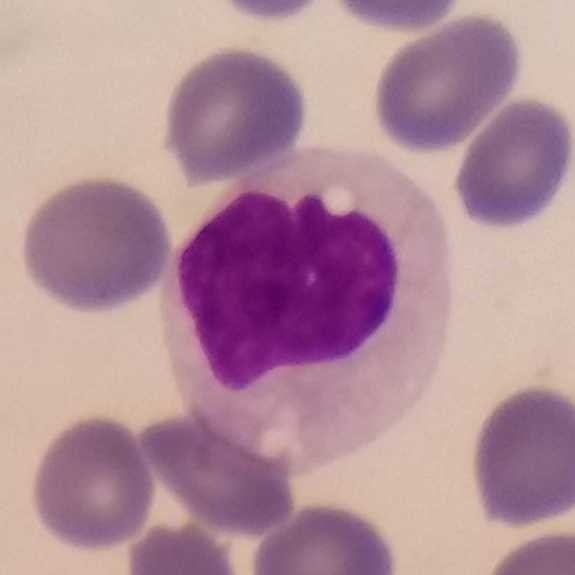Magnification 100×. Specimen: peripheral blood film.
Classification: monocyte.